Peripheral blood smear · Giemsa stain.
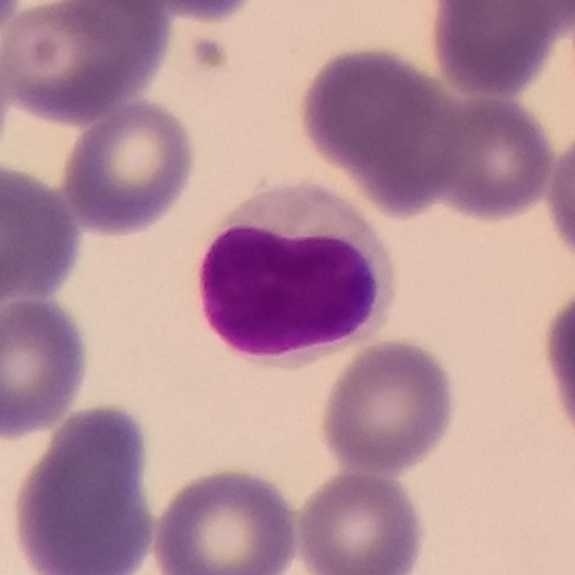

The white blood cell type is lymphocyte.